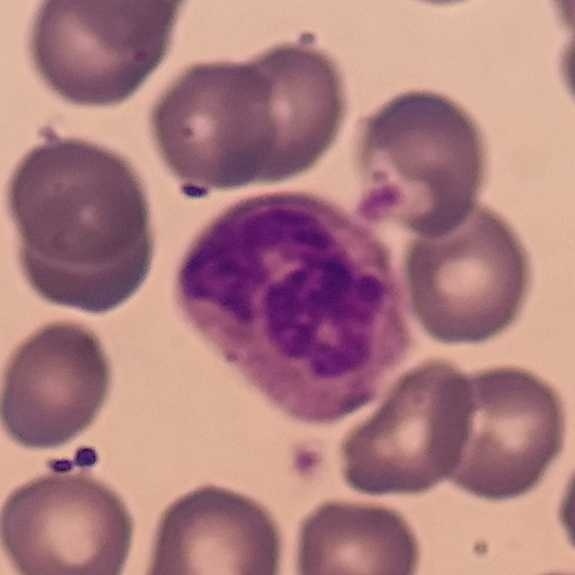

Q: Which cell type is shown here?
A: It is a neutrophil.
Preparation: Peripheral blood smear; phone-camera image taken through the microscope ocular.